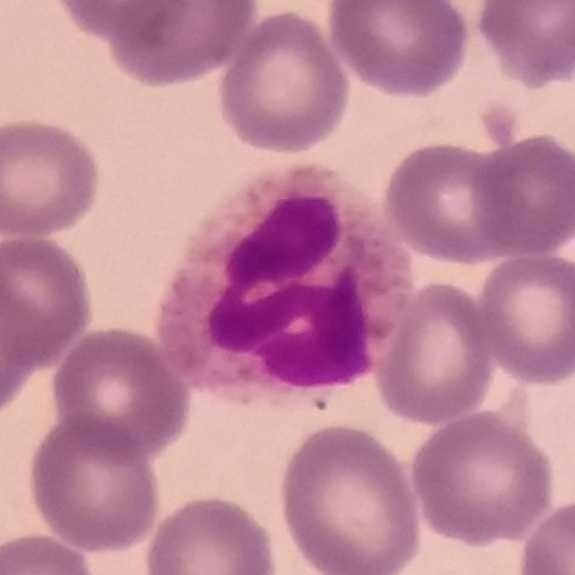

Morphological class: neutrophil.
Peripheral blood smear.